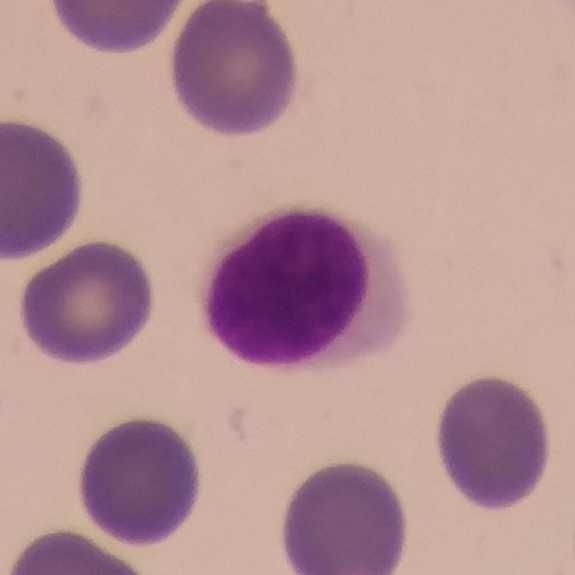Acquisition: 100× magnification; peripheral blood smear; smartphone camera mounted on the microscope eyepiece.

Showing a lymphocyte.